Peripheral blood film; 575×575 px.
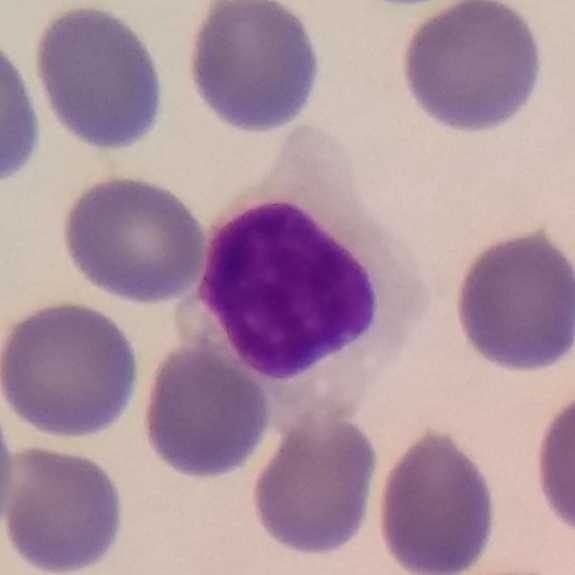
Morphological class = lymphocyte.